Peripheral blood smear; imaged at 100×; single-cell field: 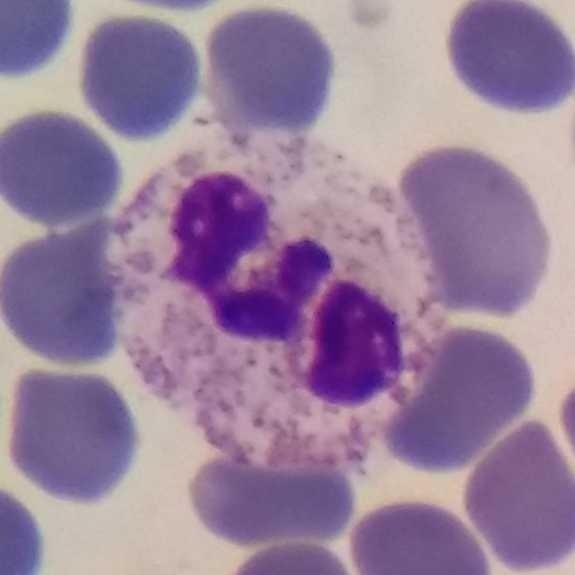
Q: Which type of white blood cell is this?
A: This is a neutrophilic granulocyte.